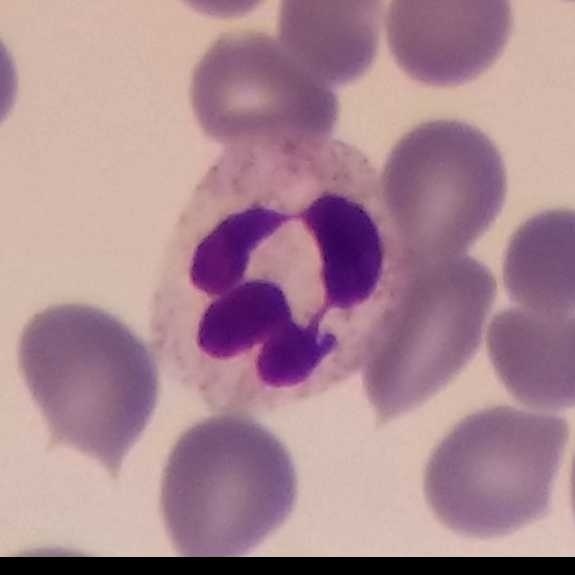

Acquisition: Peripheral blood film. Q: What is this?
A: A neutrophilic granulocyte.